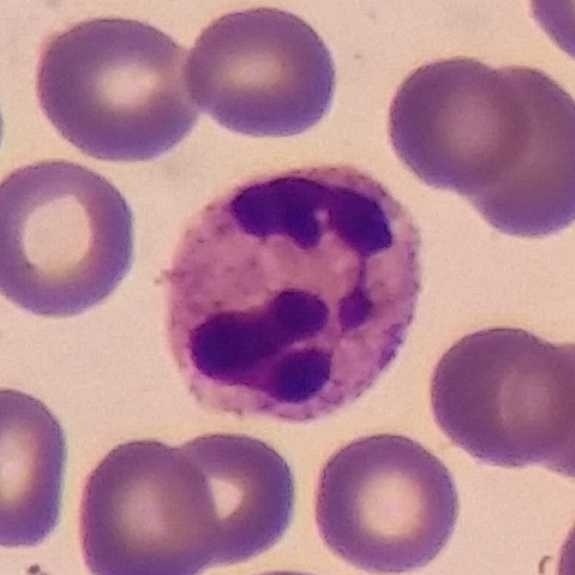Classification — neutrophil granulocyte.